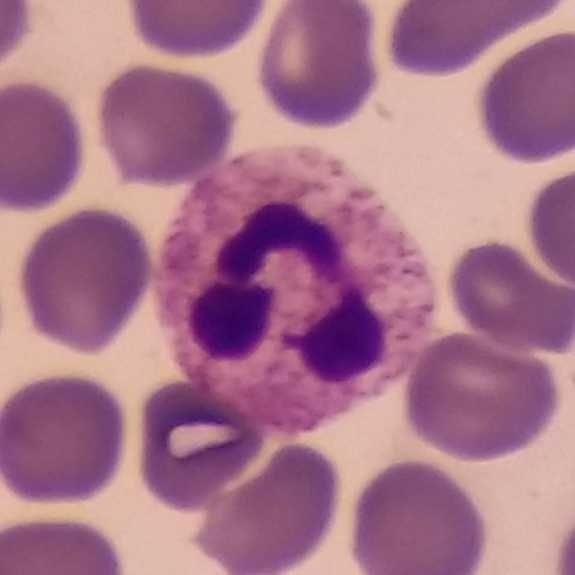

Peripheral blood smear.
Morphology → neutrophil granulocyte.